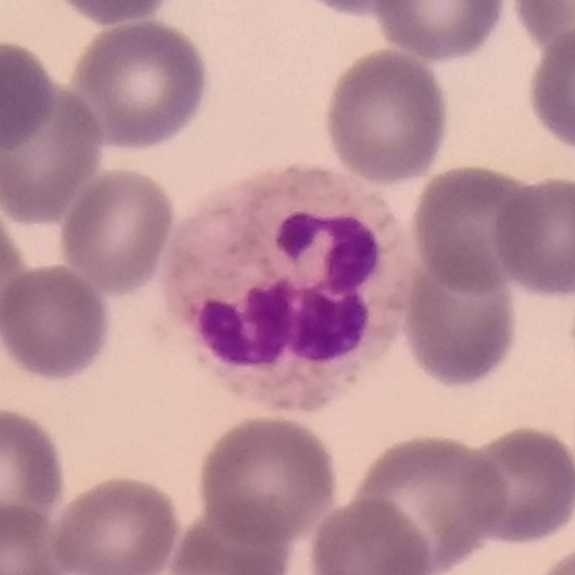
Specimen: peripheral blood film.
Cell: neutrophilic granulocyte.
Lineage: myeloid.